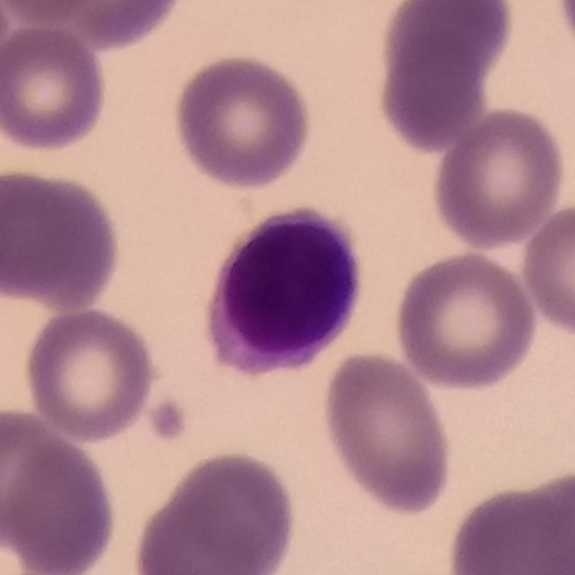Acquisition: Peripheral blood smear. Stained with Giemsa. Magnification 100×. Cell = lymphocyte.